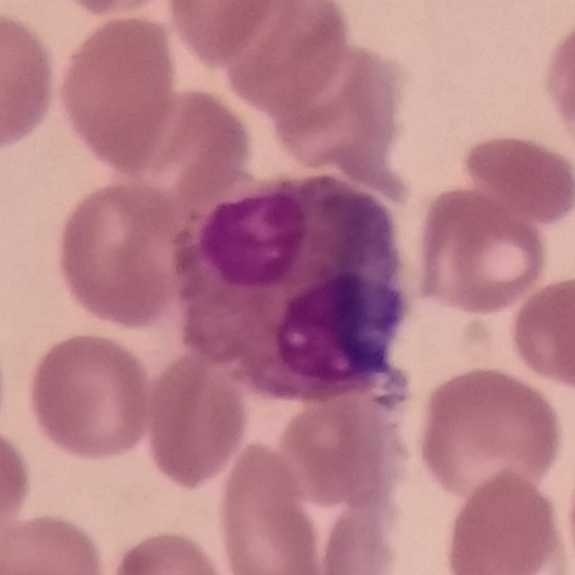 Classification = eosinophilic granulocyte.